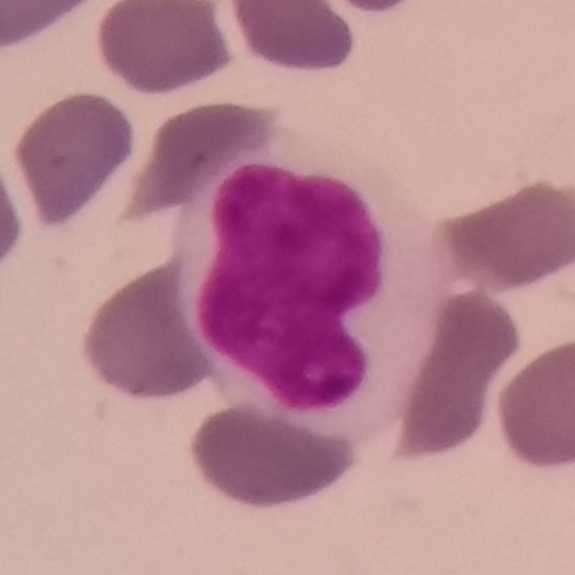{"cell_type": "monocyte", "lineage": "myeloid"}
Peripheral blood film · Giemsa-stained.